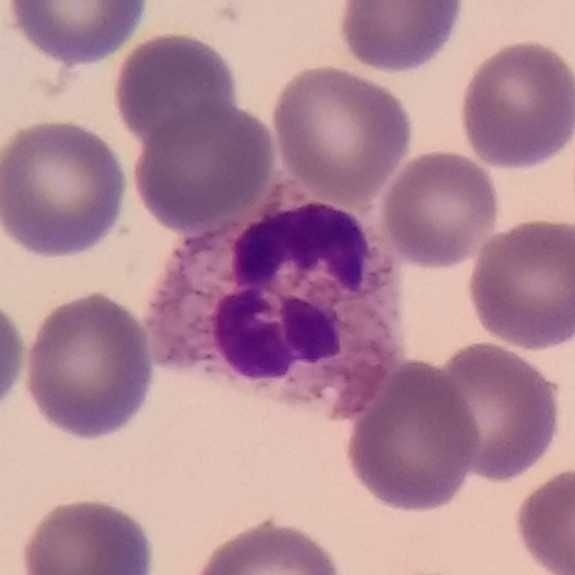
Acquisition: Peripheral blood film; smartphone photomicrograph; stained with Giemsa.

This is a neutrophil.